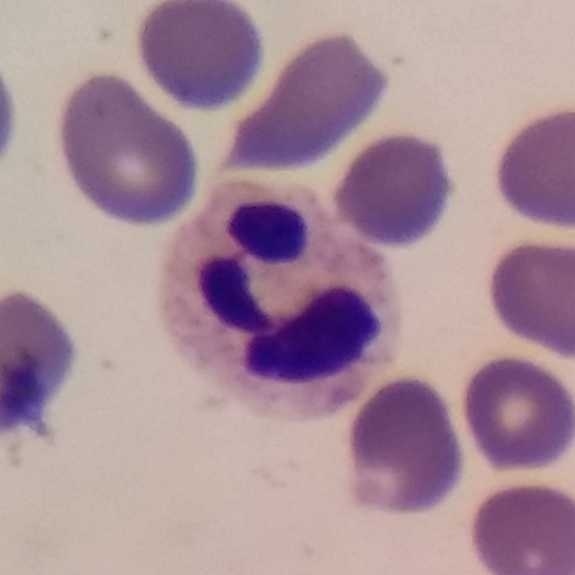
The white blood cell type is neutrophil. Peripheral blood smear · magnification 100×.